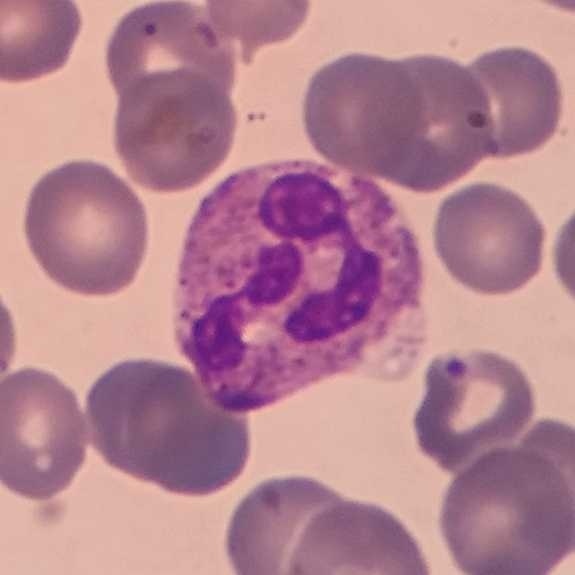
Acquisition: Peripheral blood smear. White blood cell type — neutrophil.